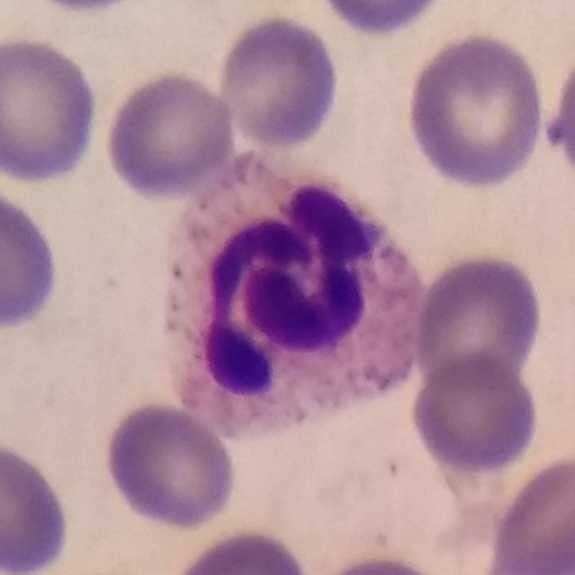
Context: Peripheral blood smear. This is a neutrophil granulocyte.